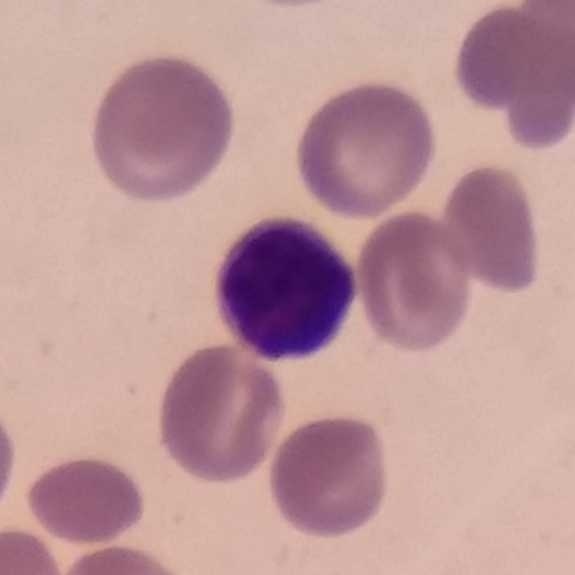

Morphology consistent with a lymphocyte.